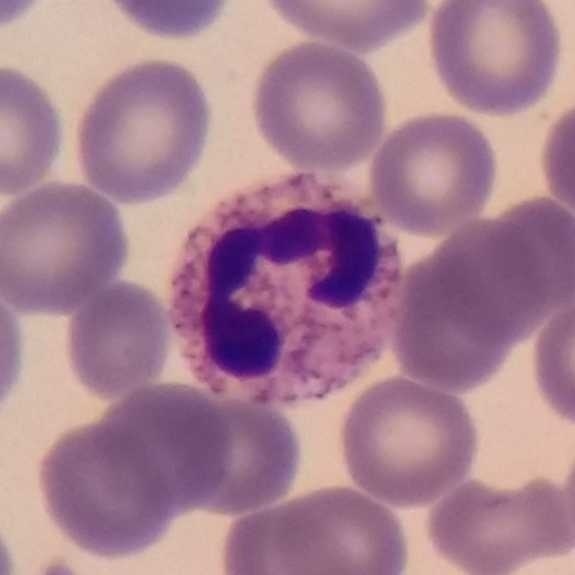
Preparation: Giemsa stain. Peripheral blood film. White blood cell type = neutrophil.